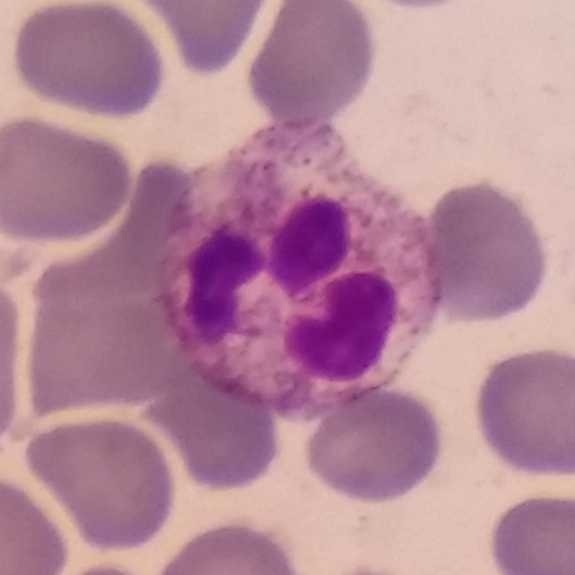Cell — neutrophil granulocyte.